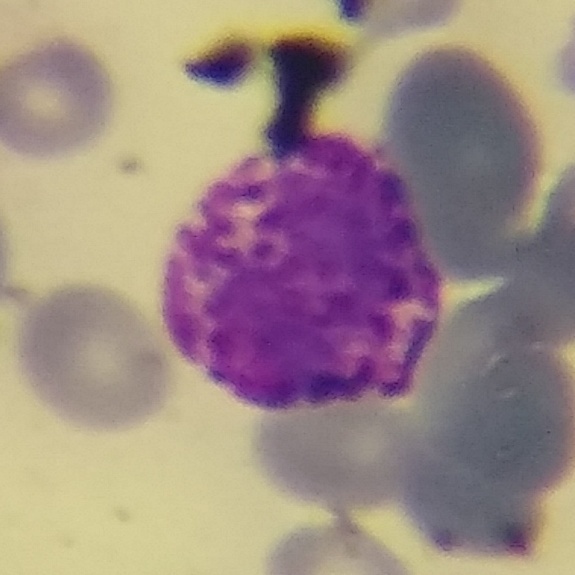
Classification = basophilic granulocyte.